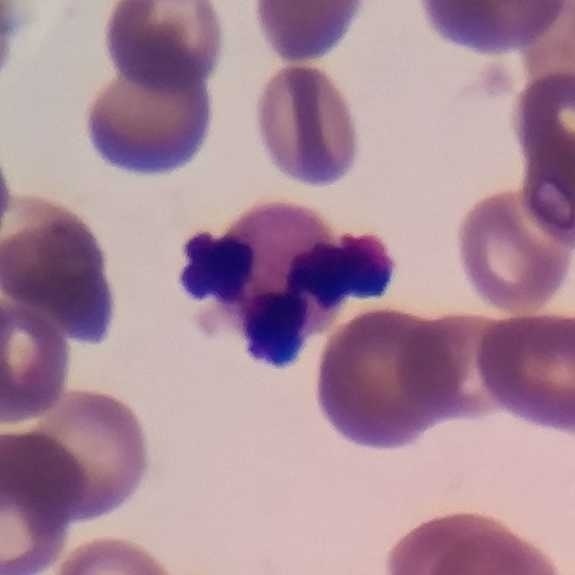

Preparation: Single-cell field · peripheral blood smear.

Impression — neutrophilic granulocyte.